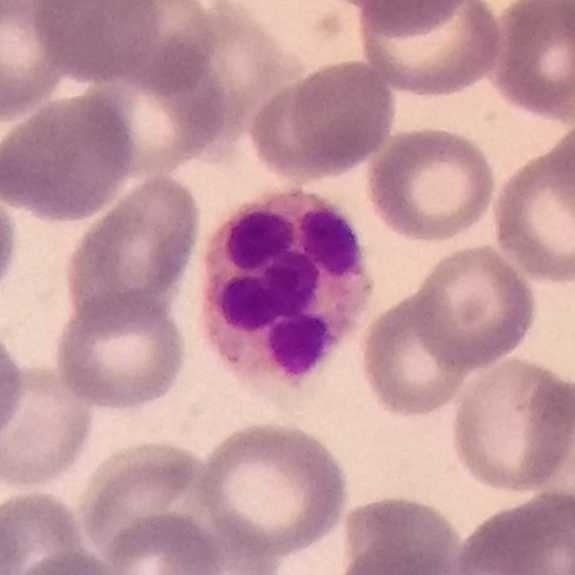Morphology consistent with a neutrophilic granulocyte.

Acquisition: Peripheral blood film. Imaged at 100×.